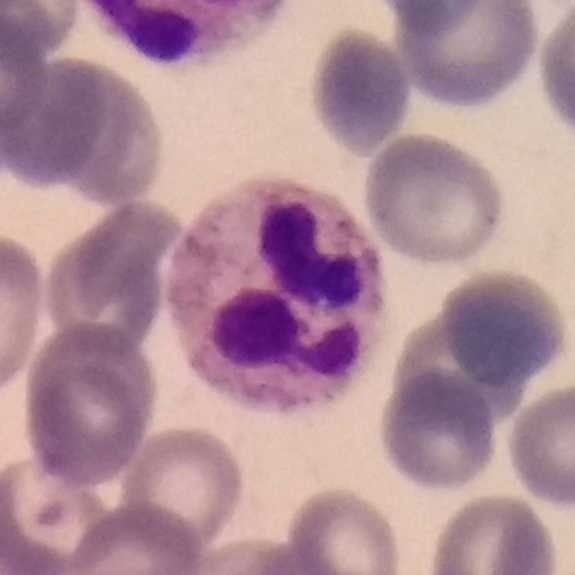Specimen: peripheral blood smear.
White blood cell type: neutrophilic granulocyte.